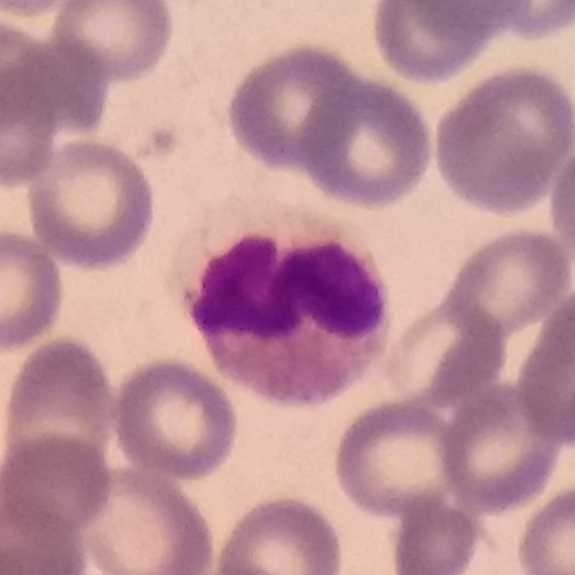 Specimen: peripheral blood film.
White blood cell type: neutrophil granulocyte.
Lineage: myeloid.